Peripheral blood smear:
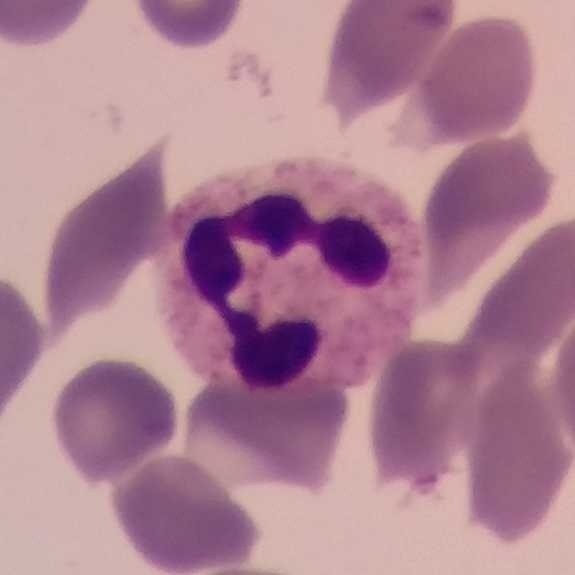 Cell type: neutrophil granulocyte.